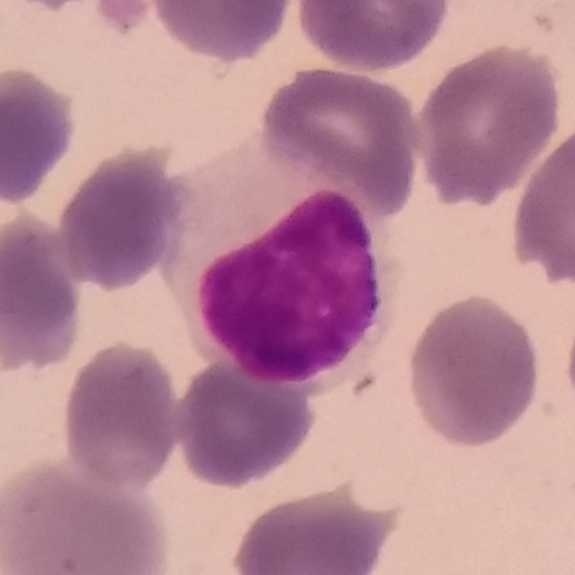 Morphological class — lymphocyte.